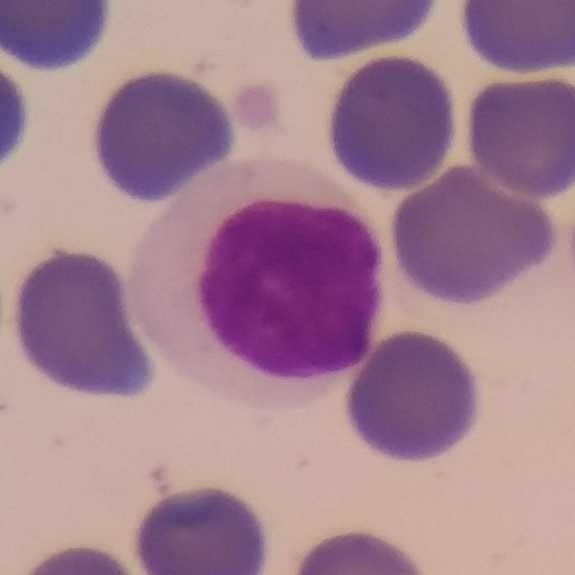 Cell type — lymphocyte.